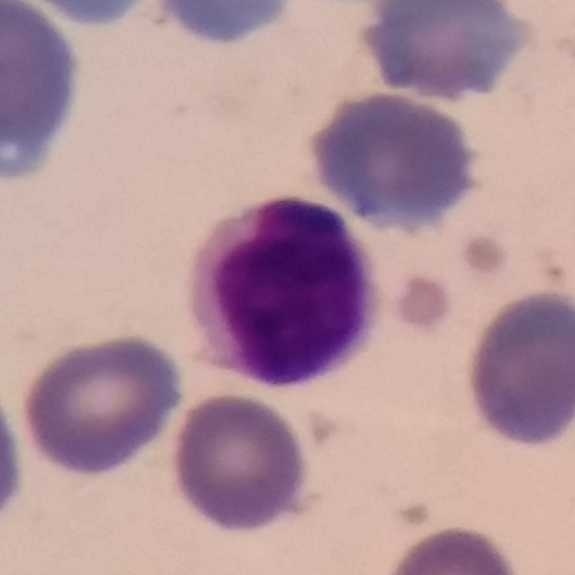 A lymphocyte. Peripheral blood film.